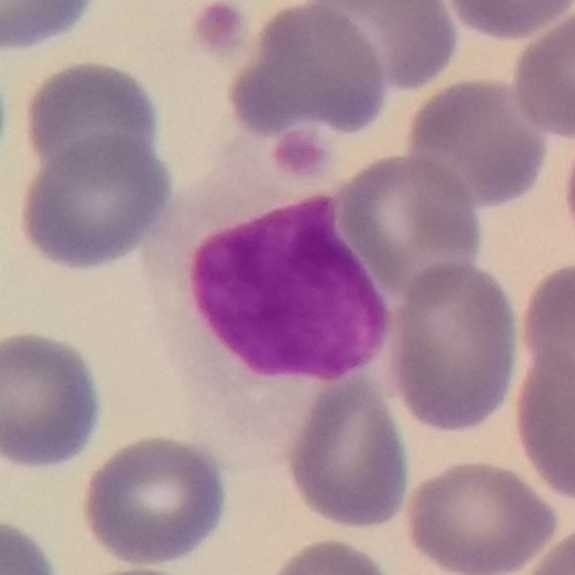

White blood cell from a peripheral blood smear: lymphocyte.